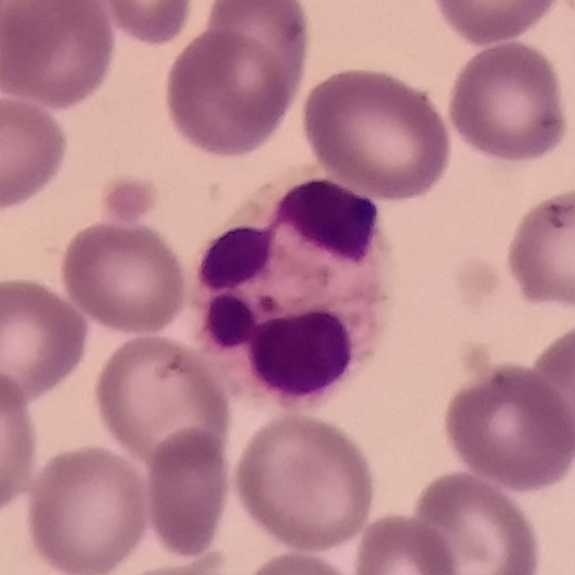Peripheral blood smear.

Q: What is shown here?
A: Neutrophil.